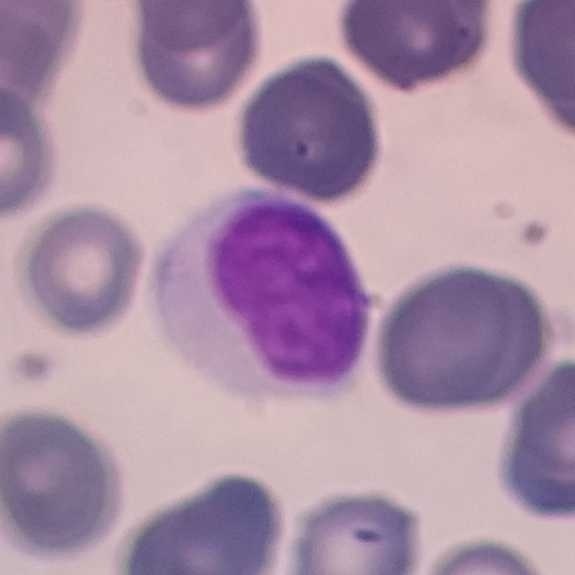

Morphology — lymphocyte.
Image: 575×575. Peripheral blood film.